Peripheral blood film; Giemsa-stained
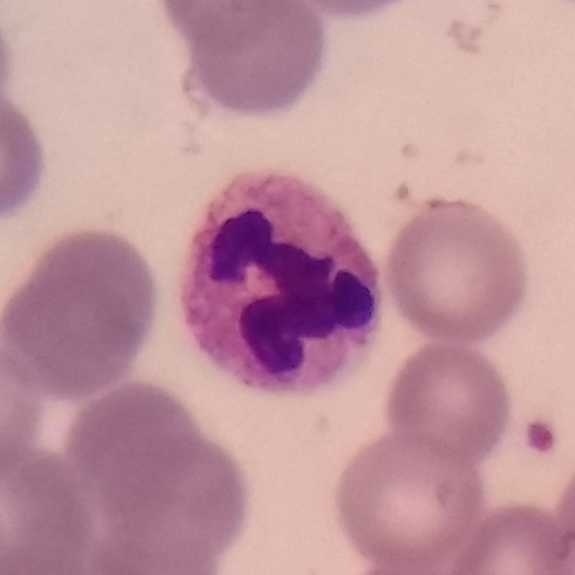
Classification = neutrophilic granulocyte.